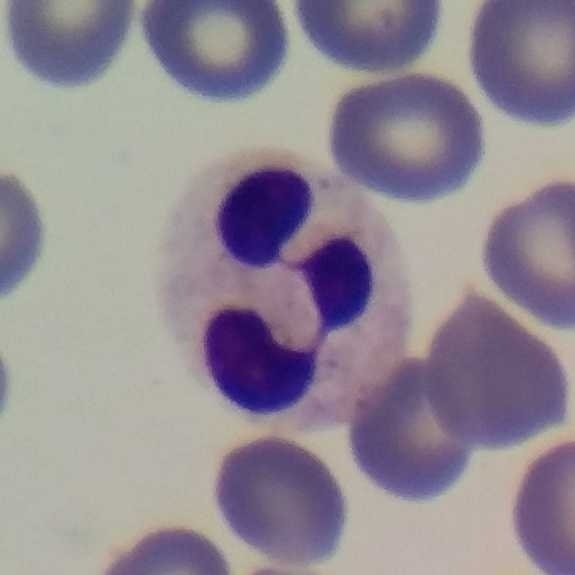
Q: What is shown here?
A: Neutrophil granulocyte. Image: Giemsa-stained; peripheral blood film.